Peripheral blood film — 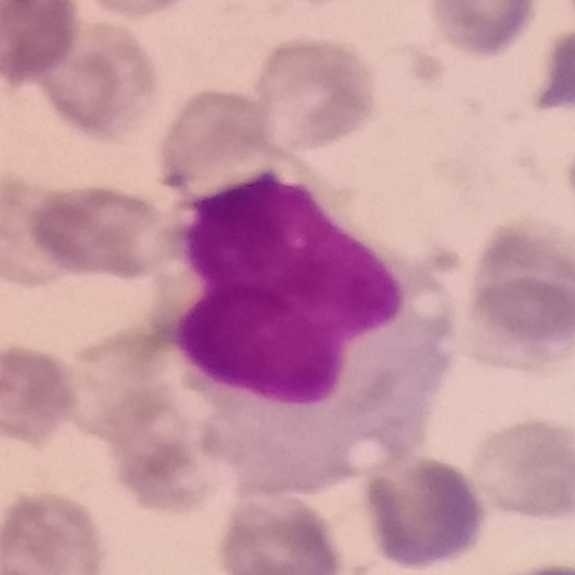
Morphological class = monocyte.